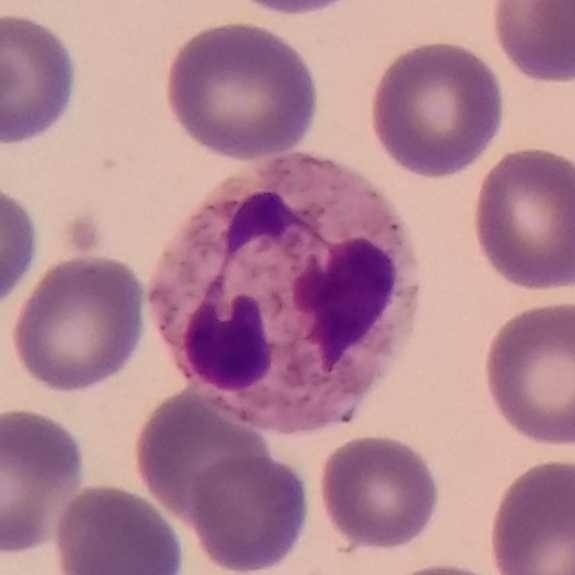

Specimen: peripheral blood film.
Classification: neutrophilic granulocyte.
Lineage: myeloid.

Image: Giemsa-stained.